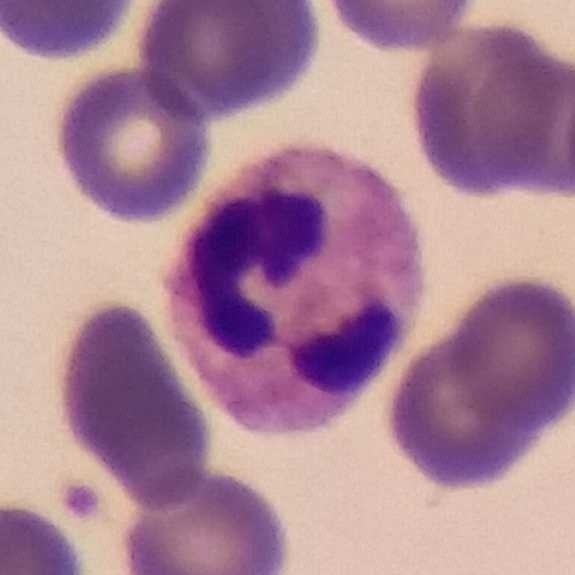 White blood cell type = neutrophil granulocyte.
Peripheral blood smear.